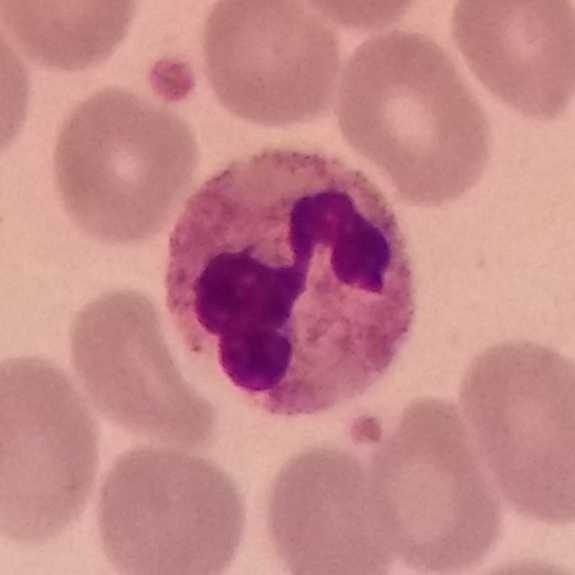

Cell type: neutrophilic granulocyte.